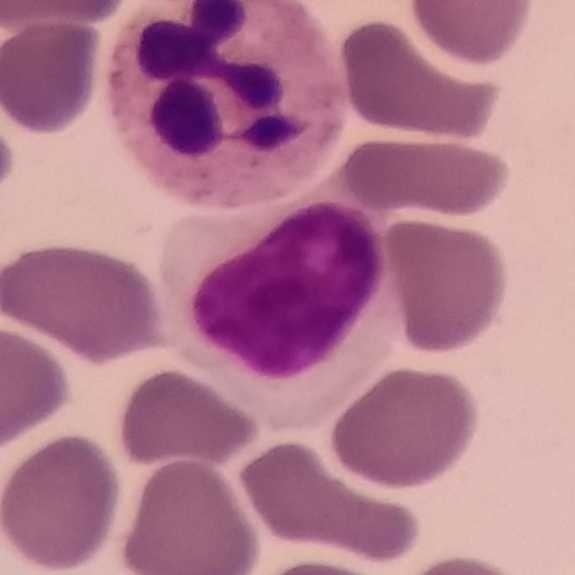Acquisition: Giemsa-stained. Peripheral blood film. 100× magnification.

Identified as a lymphocyte.